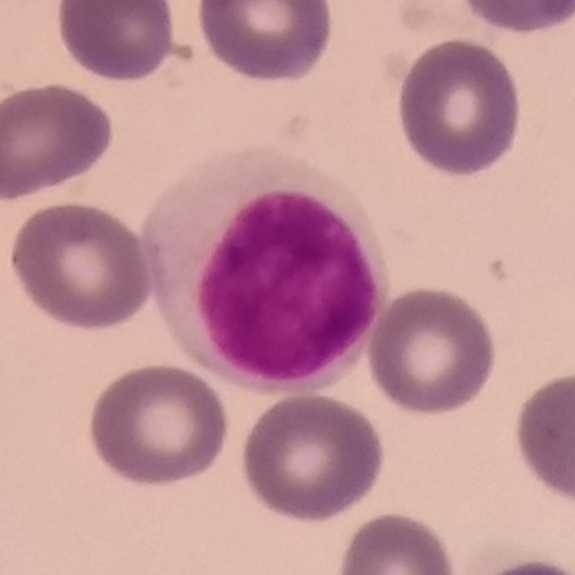
The cell shown is a monocyte. Acquisition: Photographed through a light microscope with a smartphone camera; peripheral blood film; 100× magnification.